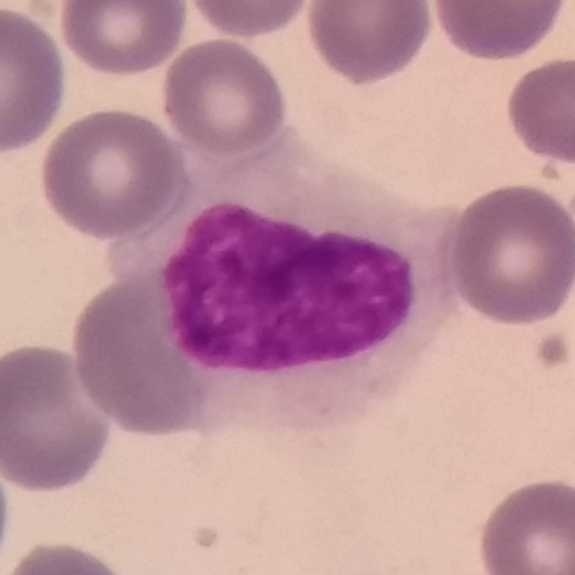

Q: Which cell type is shown here?
A: This is a monocyte.

Giemsa-stained · peripheral blood film.